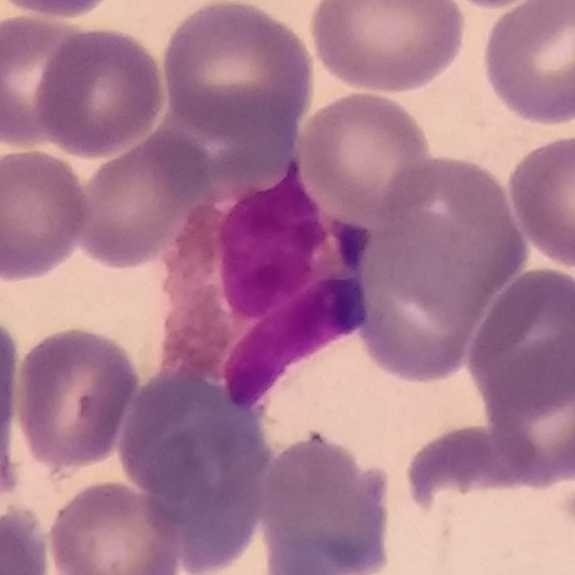

Showing an eosinophil.